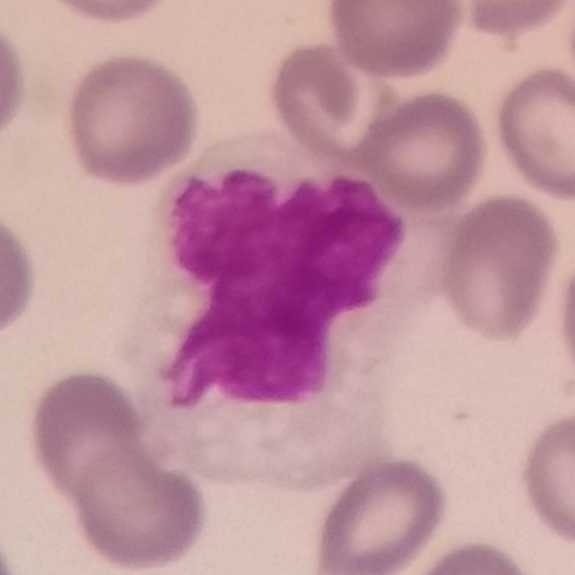Peripheral blood film. Q: What is this?
A: This is a monocyte.